Stained with Giemsa · peripheral blood smear.
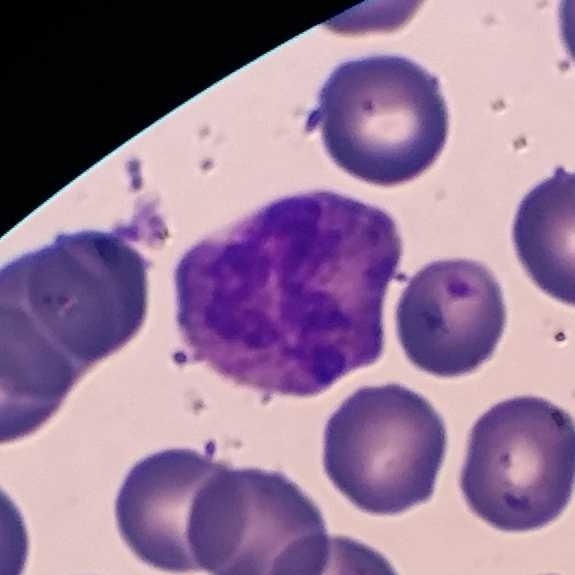
Q: What is shown here?
A: This is a neutrophil.